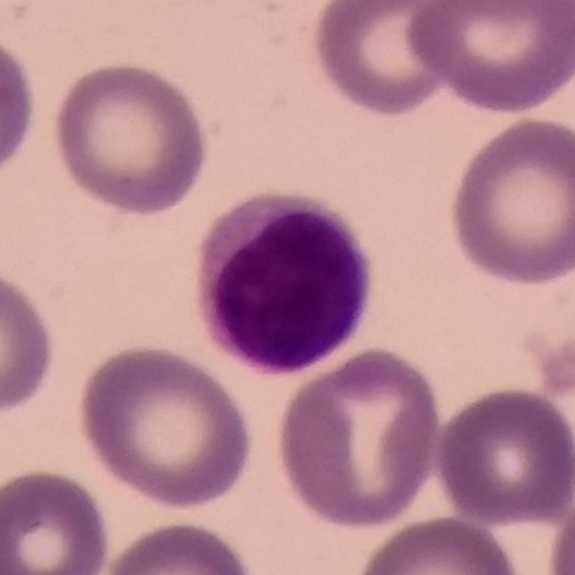 Showing a lymphocyte.
Context: Cropped to one leukocyte; peripheral blood film.